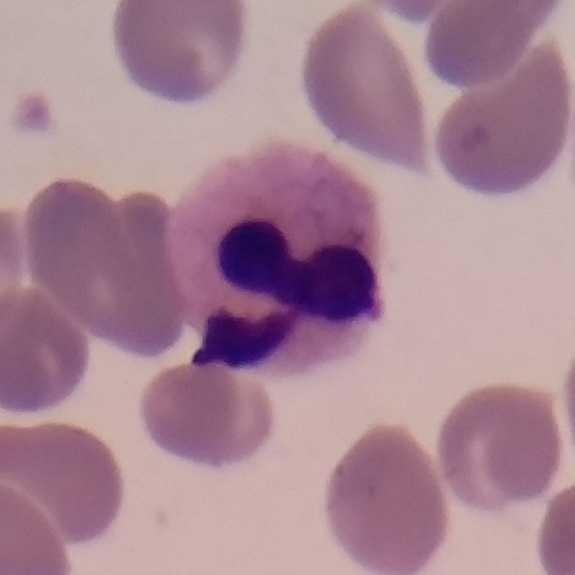 Context: Peripheral blood film; cropped to one leukocyte.

{"cell_type": "neutrophil granulocyte"}